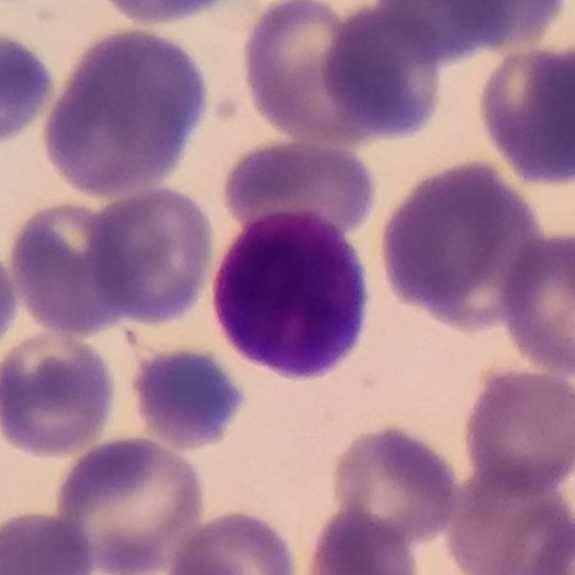

Identified as a lymphocyte. Peripheral blood film.